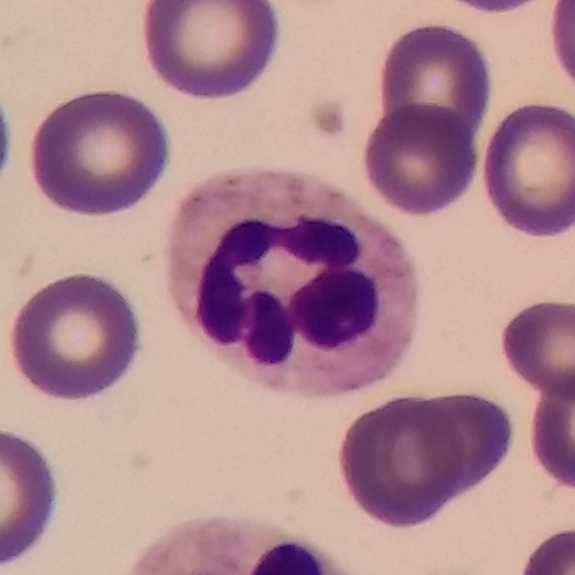
Morphology — neutrophil.

Preparation: Peripheral blood film.